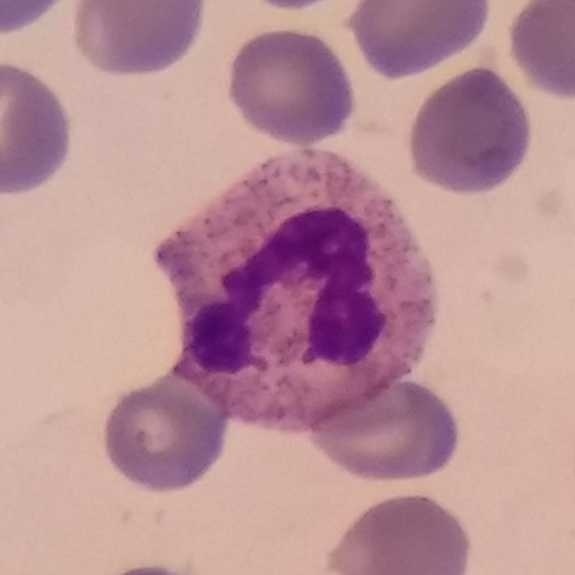 Specimen: peripheral blood smear.
Morphological class: neutrophil.
Lineage: myeloid. Preparation: 100× magnification.